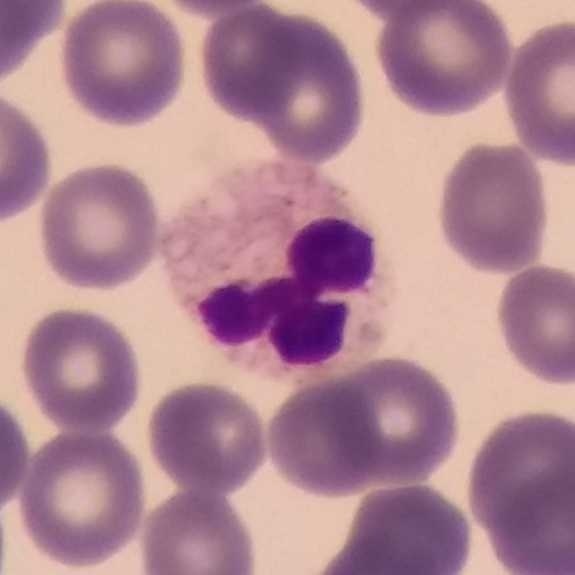

White blood cell from a peripheral blood smear: neutrophil.